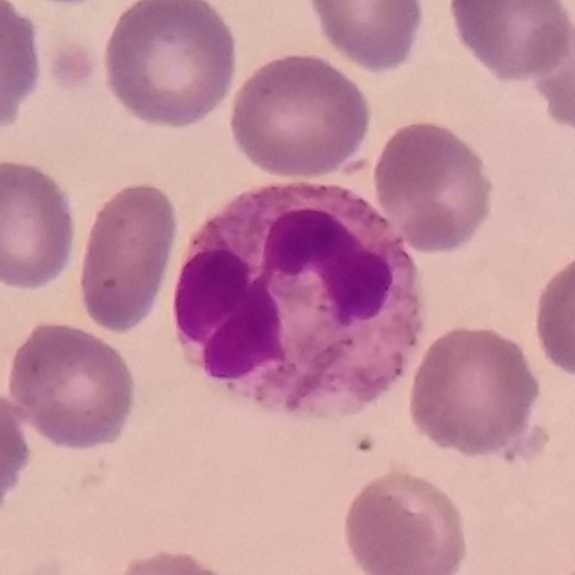Peripheral blood smear. 575 by 575 pixels. 100× magnification.

Classification — neutrophil.